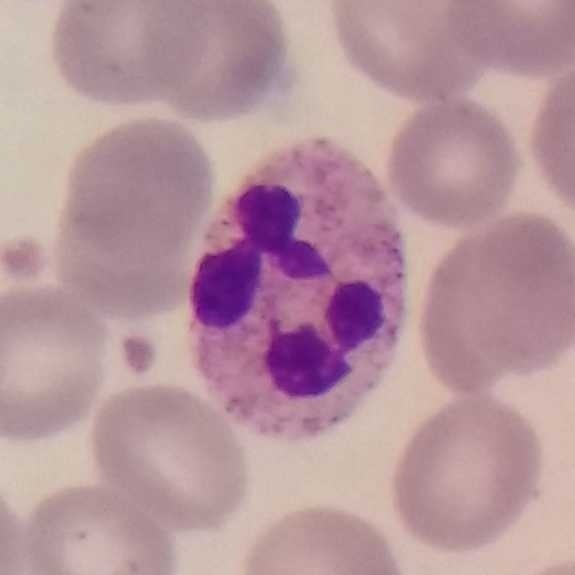
Cell type — neutrophil granulocyte.